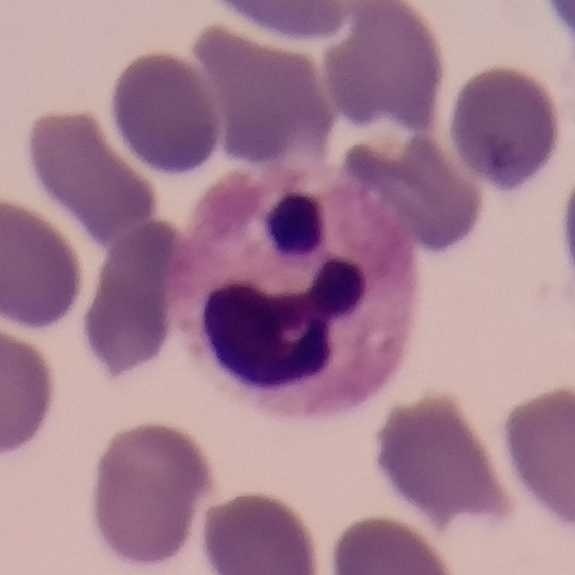 Peripheral blood smear. A neutrophil.